Peripheral blood film — 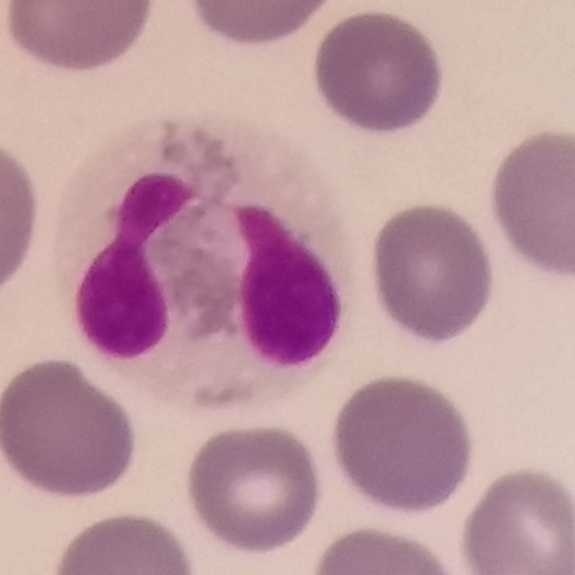Q: What is the morphological classification of this cell?
A: Eosinophil.